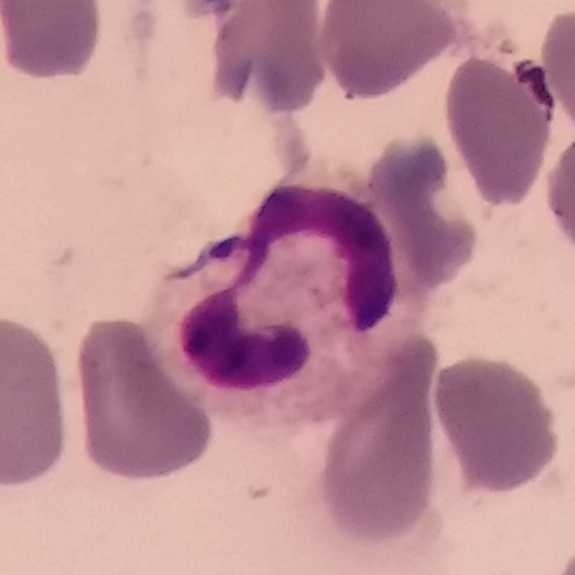
Cell type — neutrophilic granulocyte.